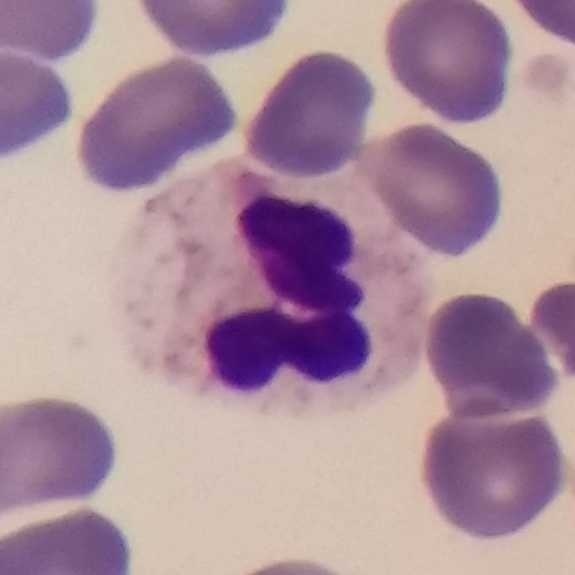

Context: Peripheral blood smear.
The classification is neutrophil granulocyte.